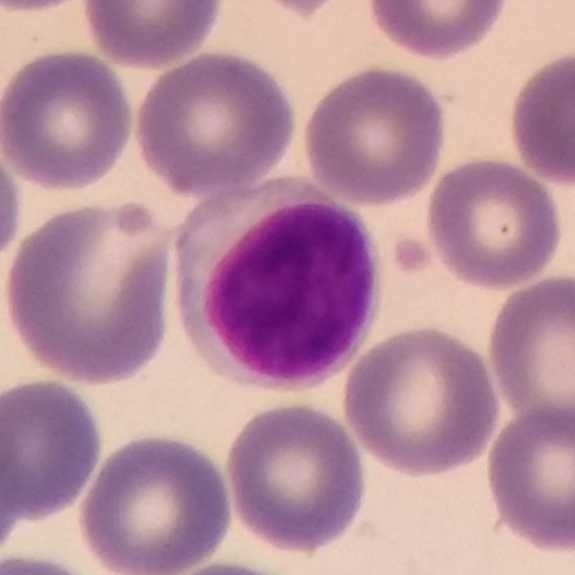

Acquisition: Single-cell field · peripheral blood film.
The white blood cell in this image is a lymphocyte.